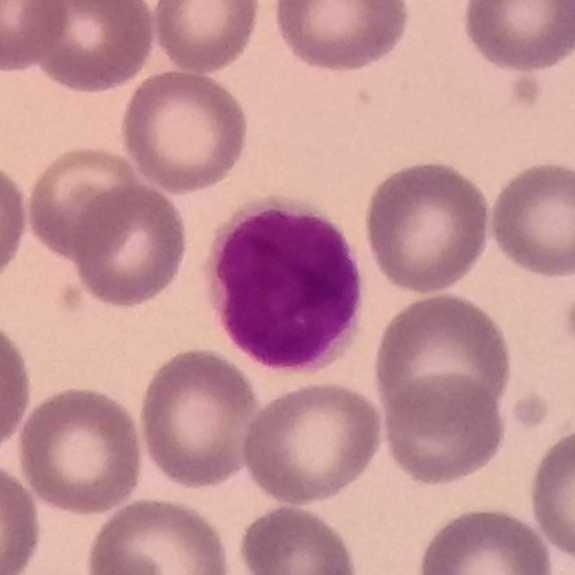
Cell = lymphocyte.